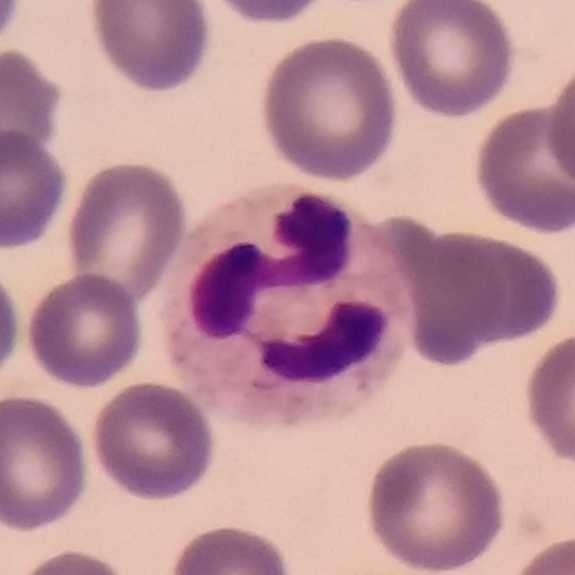The white blood cell type is neutrophil granulocyte.